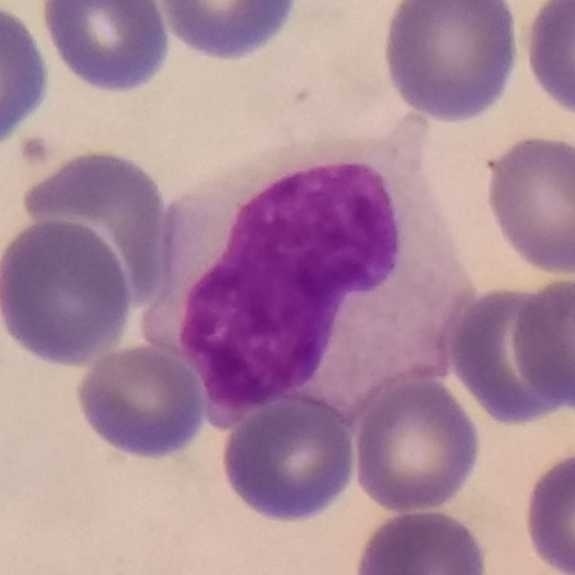

{"cell_type": "monocyte", "lineage": "myeloid"} Context: Peripheral blood smear; Giemsa stain.